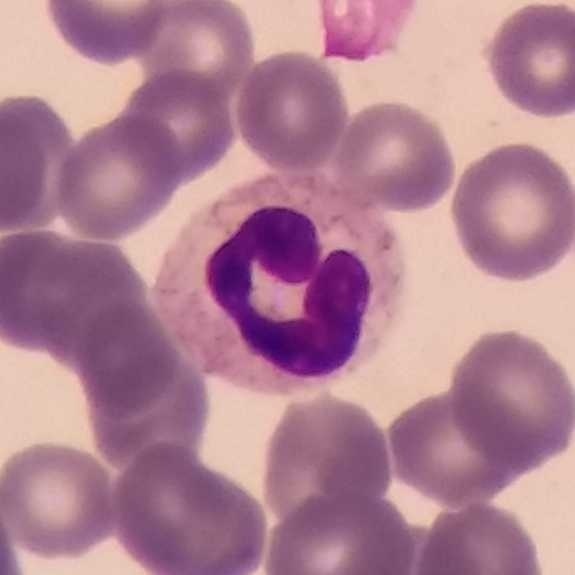
White blood cell type — neutrophilic granulocyte.